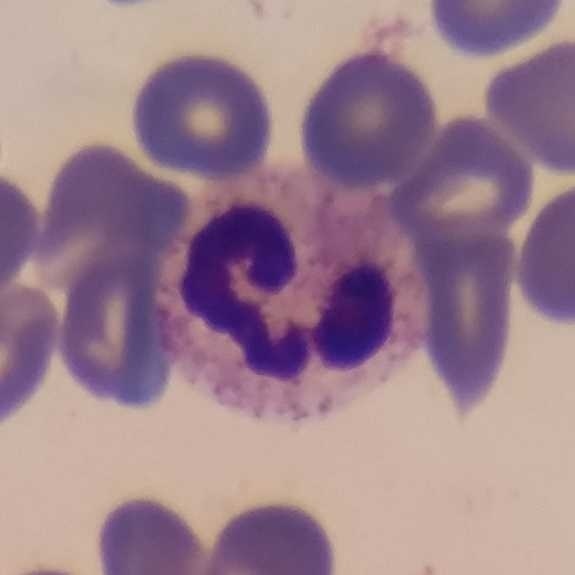

Specimen: peripheral blood film.
White blood cell type: neutrophilic granulocyte.